Peripheral blood smear
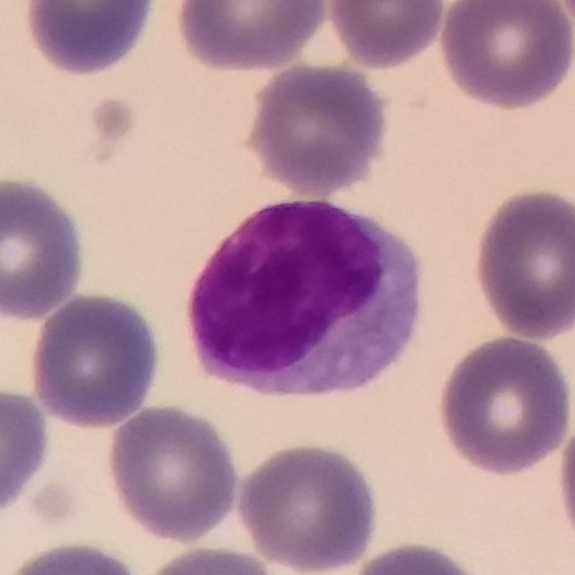 White blood cell type = lymphocyte.